Single-cell crop · peripheral blood film · smartphone photomicrograph:
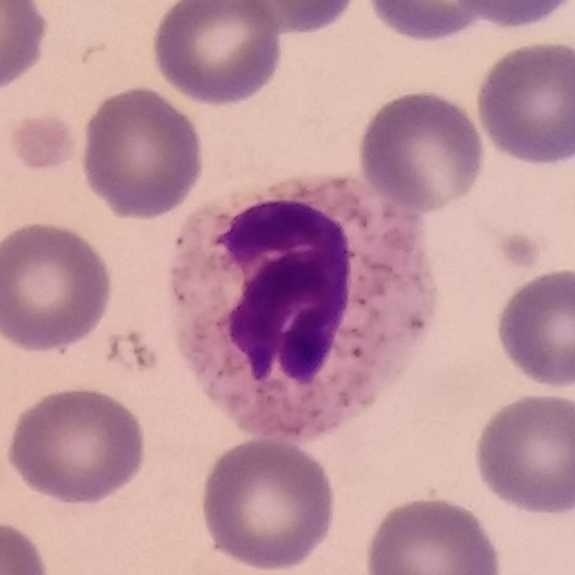

{"cell_type": "neutrophil granulocyte"}